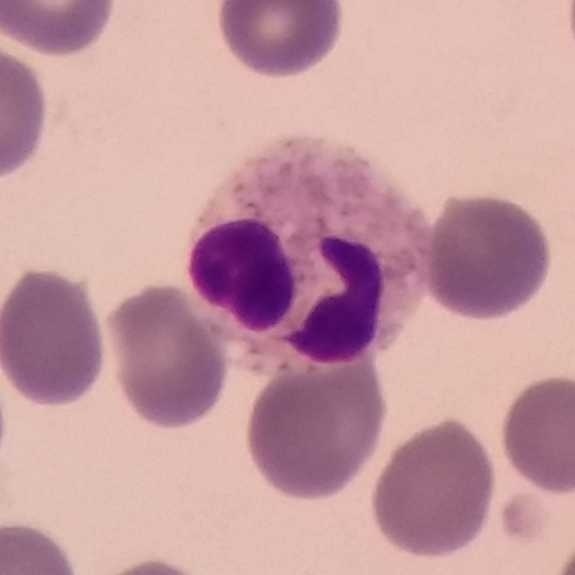Specimen: peripheral blood film.
Classification: neutrophil granulocyte.
Lineage: myeloid.